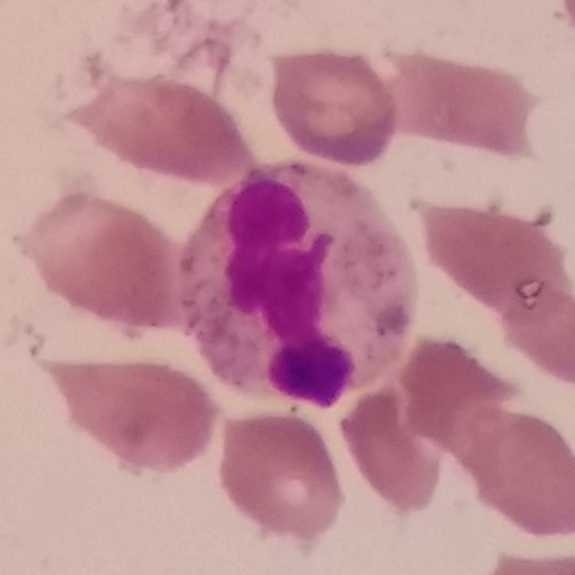

Morphological class: neutrophil granulocyte.